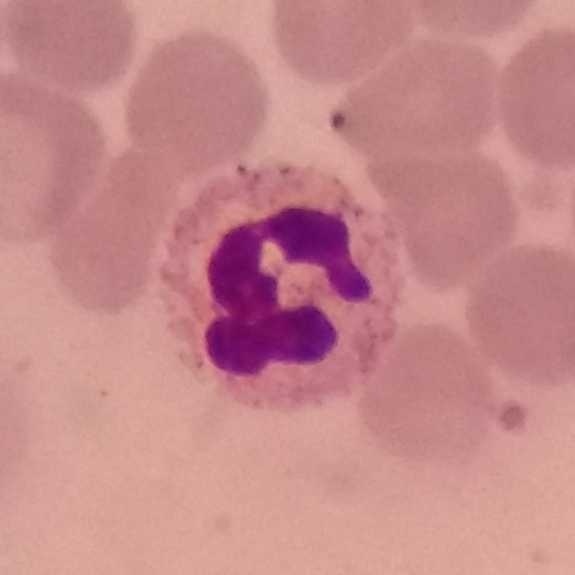
575×575; peripheral blood smear; Giemsa stain. Q: What is the morphological classification of this cell?
A: Neutrophilic granulocyte.